Smartphone photomicrograph; image size 575×575; peripheral blood film:
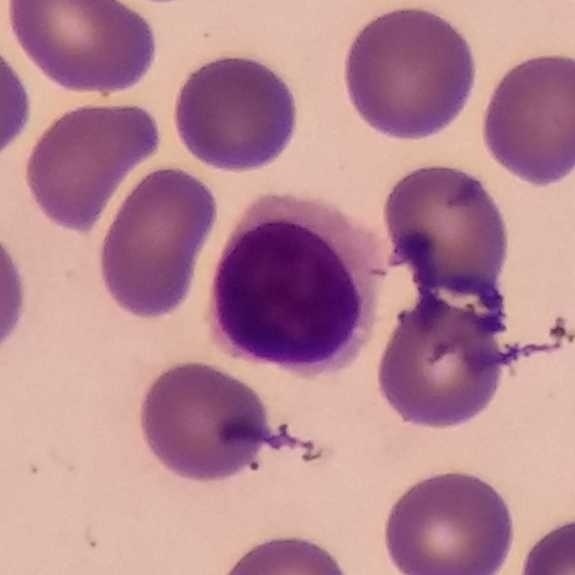
Morphological class: lymphocyte.